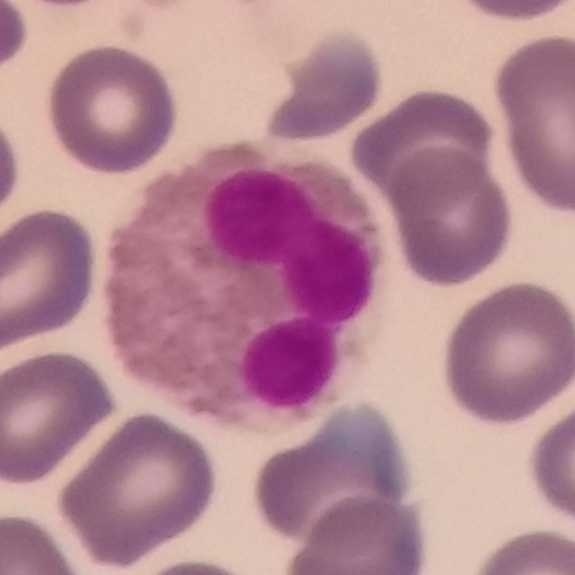Preparation: Peripheral blood film; smartphone photomicrograph. An eosinophil.